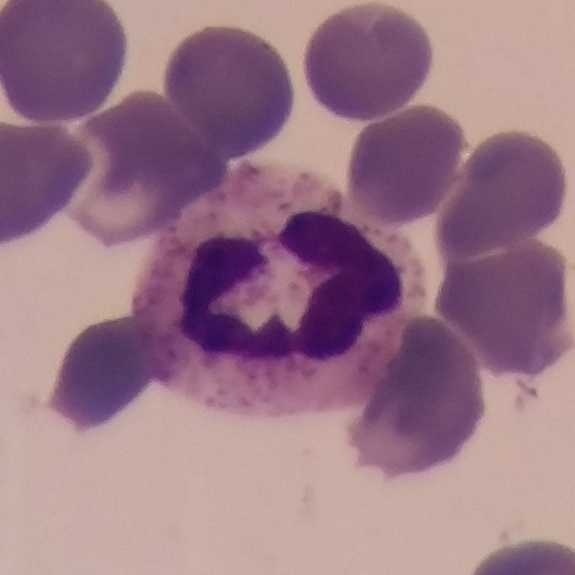

Q: What is shown here?
A: This is a neutrophilic granulocyte.

Image: Peripheral blood film.